Peripheral blood film.
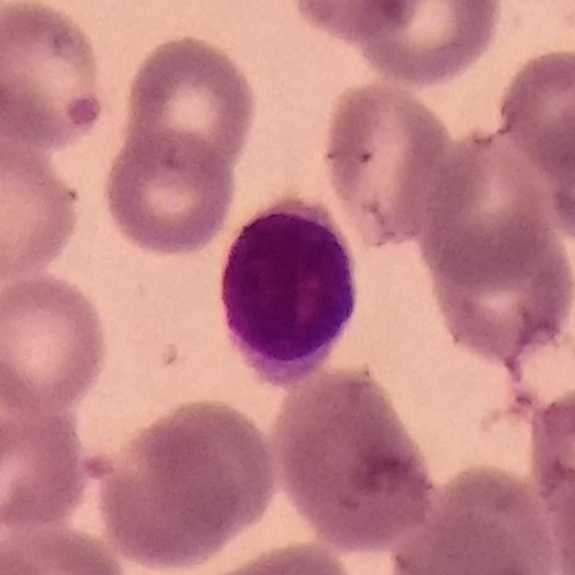 Showing a lymphocyte.